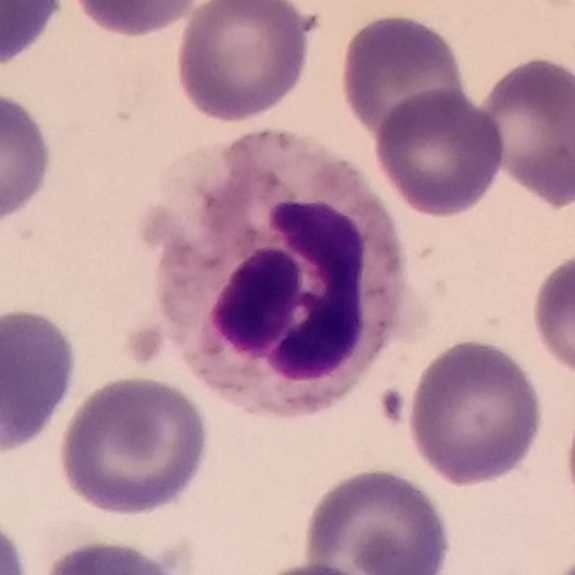Q: Which cell type is shown here?
A: A neutrophil granulocyte.

Image: Photographed through a light microscope with a smartphone camera. Peripheral blood smear.